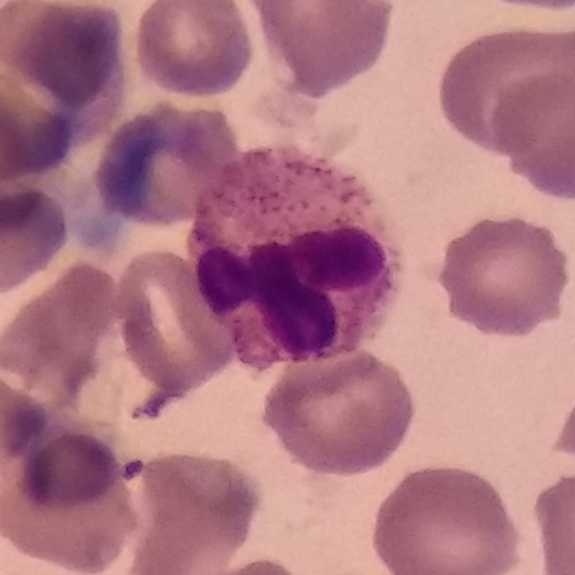Peripheral blood film. Morphology consistent with a neutrophil granulocyte.